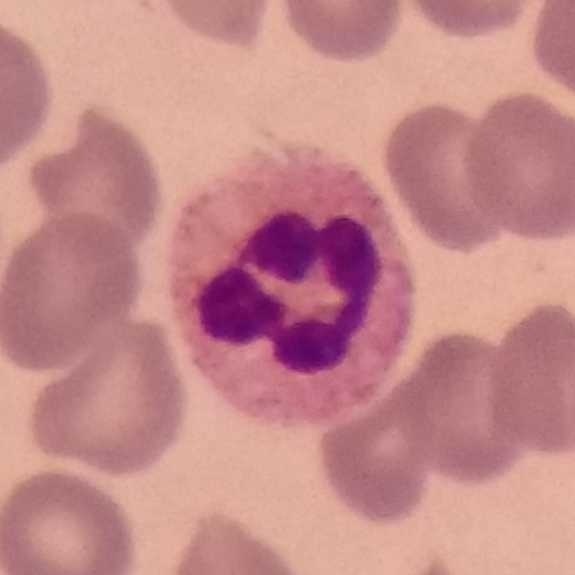Acquisition: Peripheral blood smear; single-cell crop.
The cell shown is a neutrophil granulocyte.